Peripheral blood film — 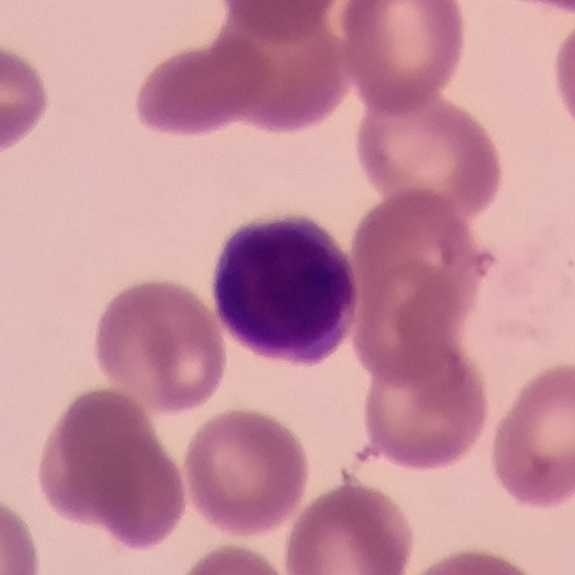

Q: What is this?
A: It is a lymphocyte.